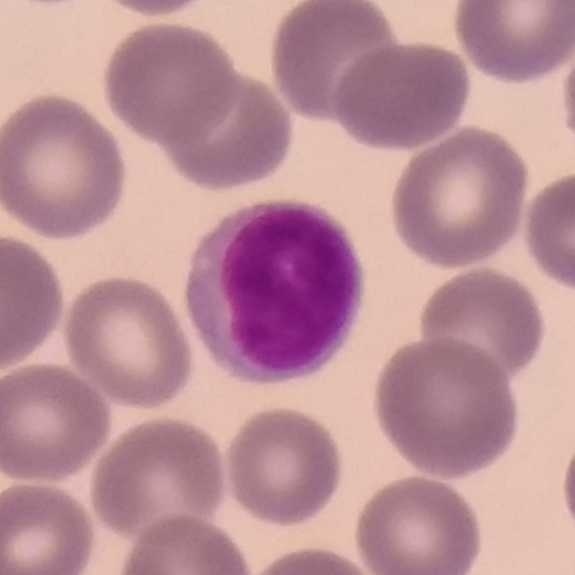 Image: 575×575; peripheral blood film.

{"cell_type": "lymphocyte", "lineage": "lymphoid"}